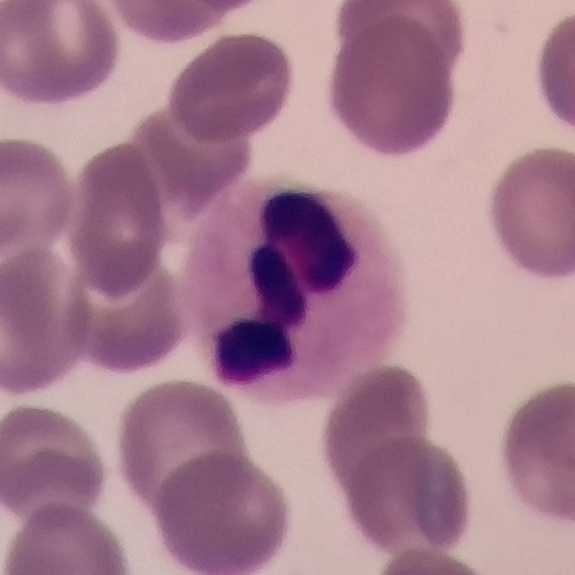Cell: neutrophil granulocyte.